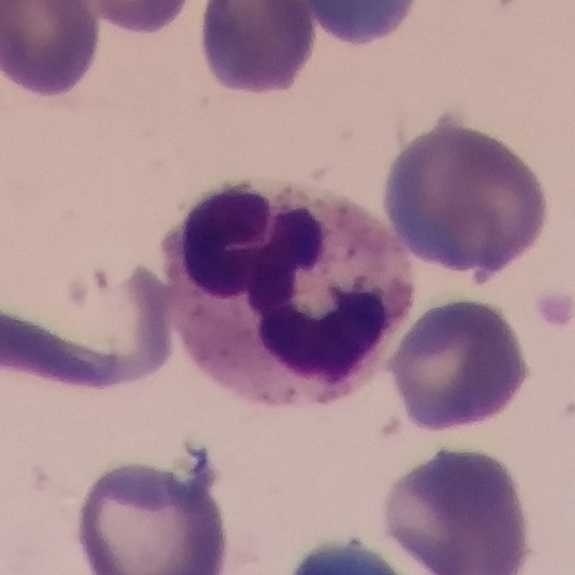 The cell type is neutrophil granulocyte.

Context: Magnification 100× · peripheral blood film · smartphone photomicrograph.